Peripheral blood film. Giemsa-stained — 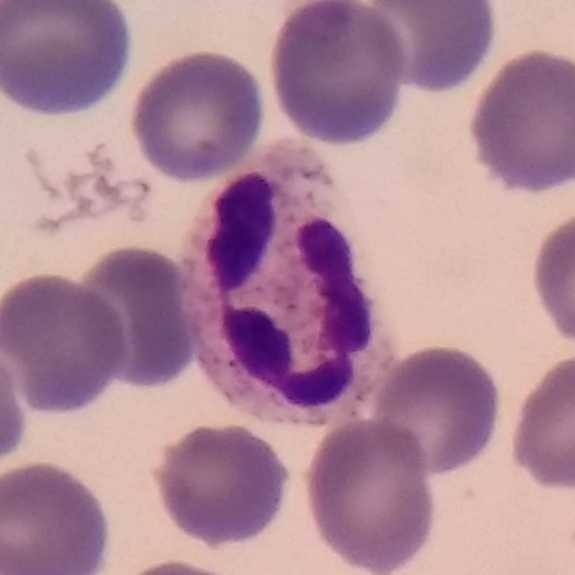Q: What is shown here?
A: This is a neutrophil granulocyte.